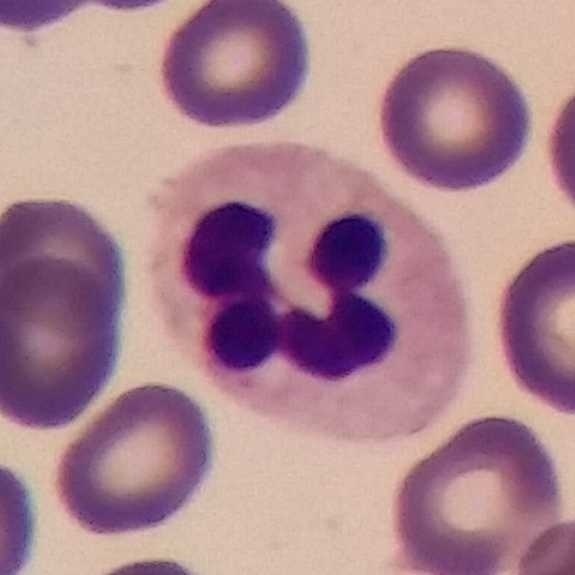 A neutrophil granulocyte on a peripheral blood smear.